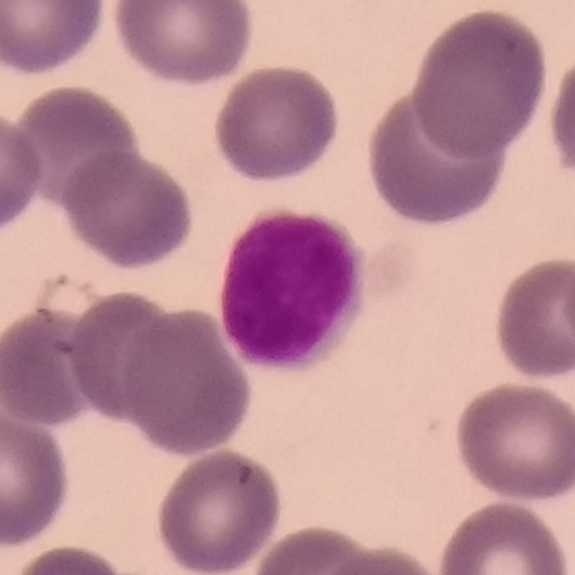White blood cell from a peripheral blood smear: lymphocyte.